Magnification 100×; peripheral blood smear.
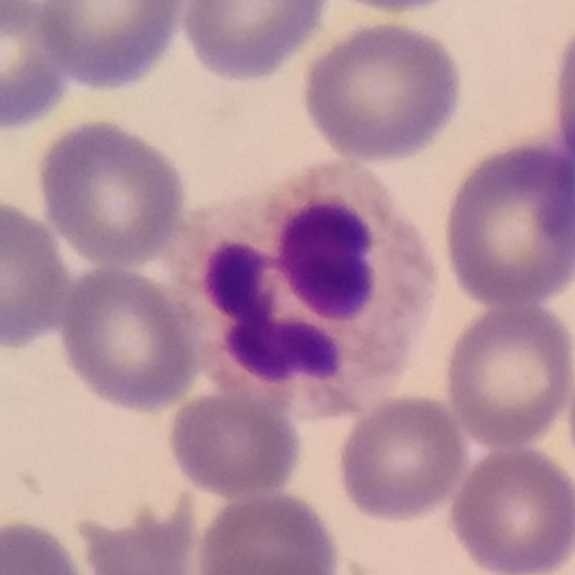

Identified as a neutrophilic granulocyte.